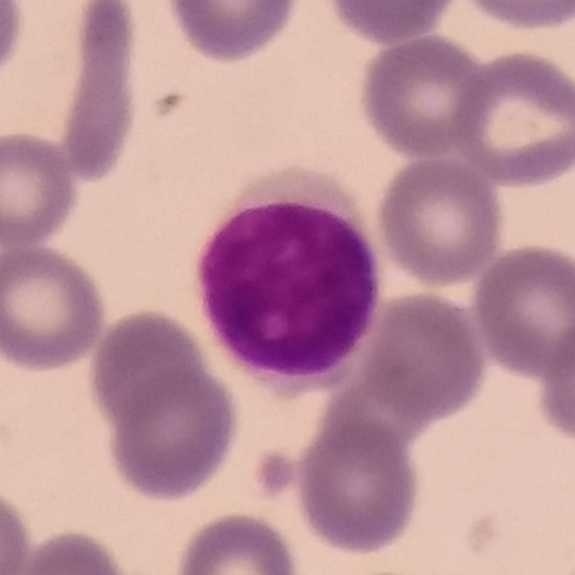Cell — lymphocyte.